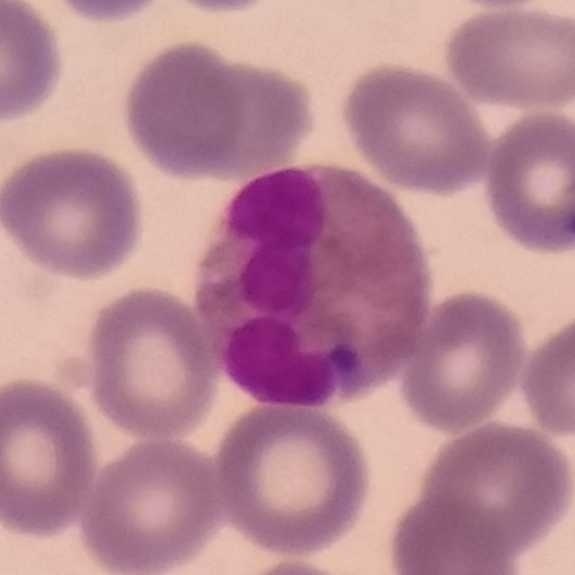
Morphology consistent with an eosinophil.
Peripheral blood smear.